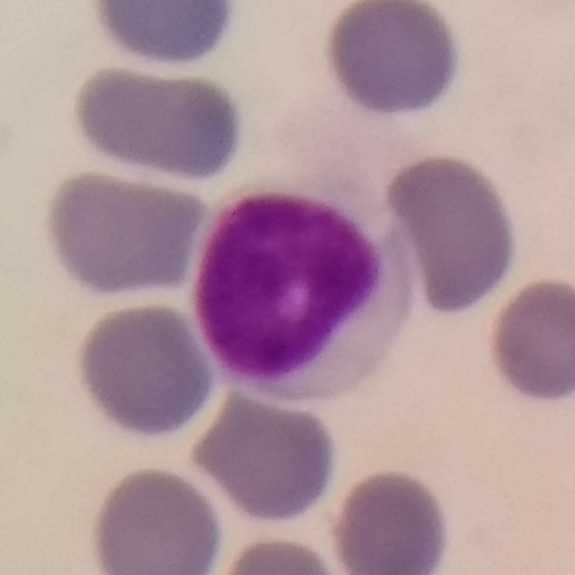Context: 100× magnification; peripheral blood smear. Q: What is this?
A: A lymphocyte.